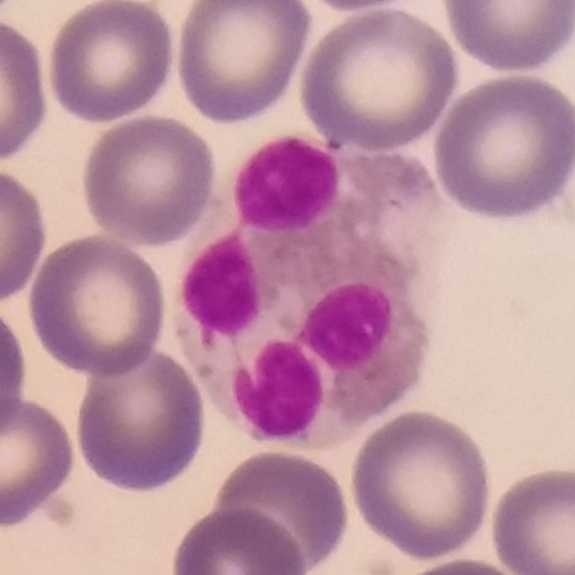
White blood cell type — eosinophil. Context: Peripheral blood smear.